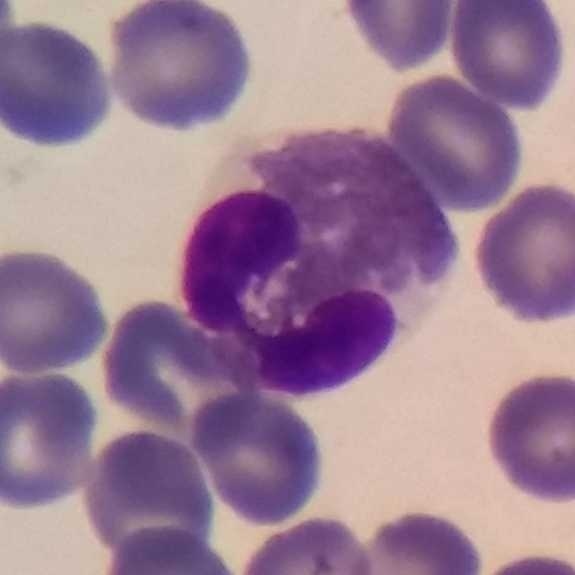The cell is eosinophil.

Image: Peripheral blood smear.